Peripheral blood smear:
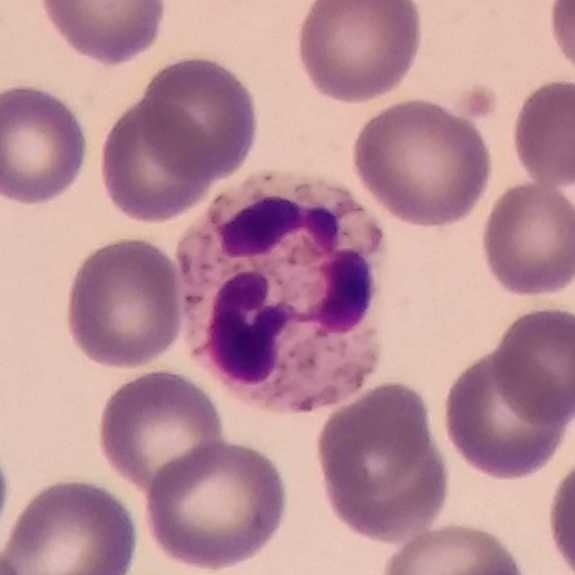
Specimen: peripheral blood film.
White blood cell type: neutrophil.